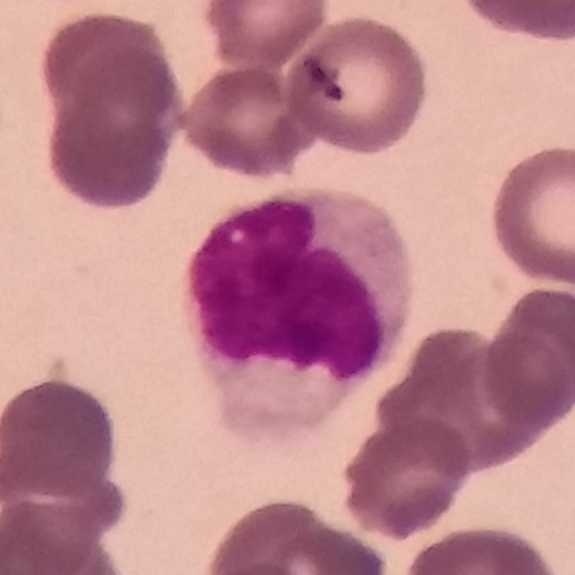Morphological class = monocyte.